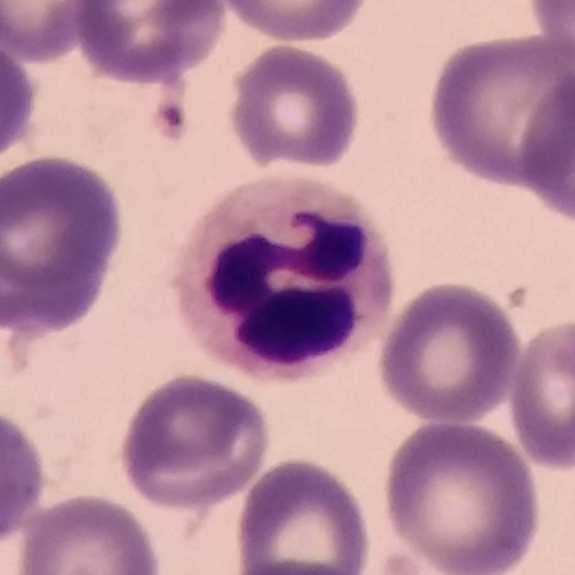 Specimen: peripheral blood film.
Classification: neutrophilic granulocyte.